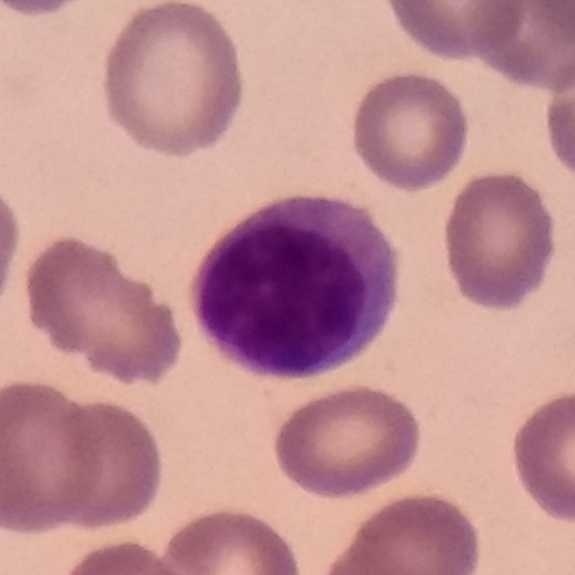

Classification = lymphocyte.